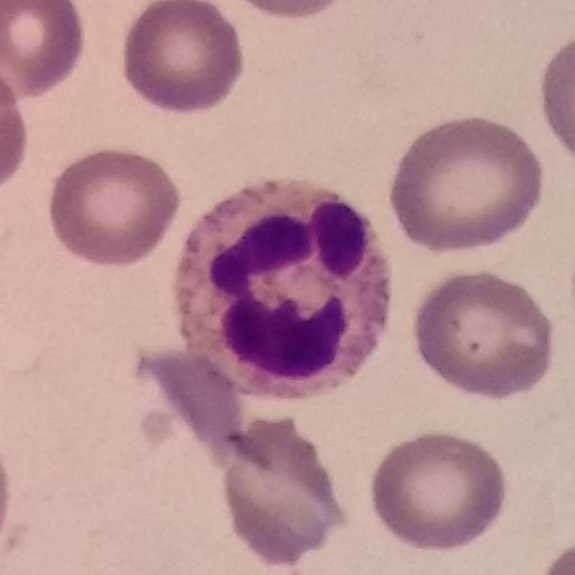
Acquisition: Giemsa stain; magnification 100×; peripheral blood smear.
Cell type = neutrophil granulocyte.